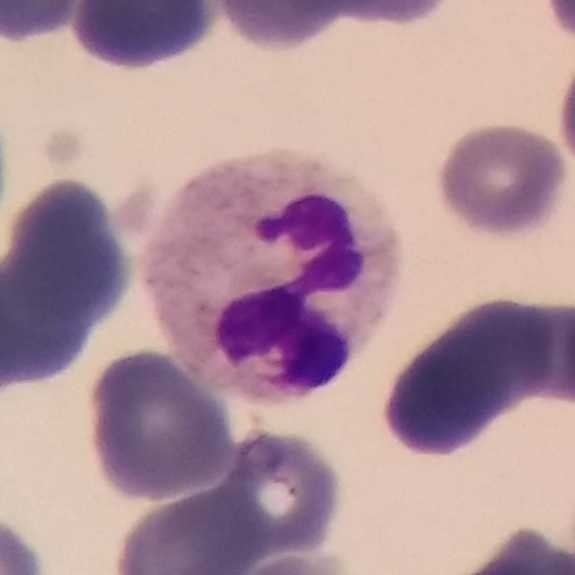Giemsa stain · peripheral blood smear · single-cell crop. Q: Identify the cell.
A: A neutrophil granulocyte.